Smartphone photomicrograph. Peripheral blood film — 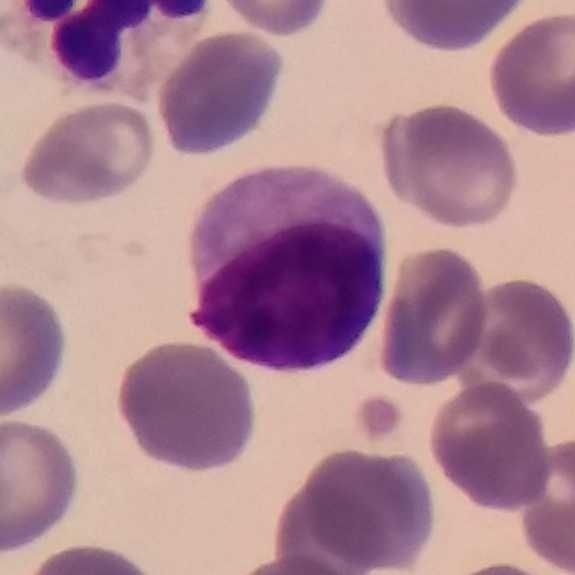

Cell type — lymphocyte.